Cropped to one leukocyte. Peripheral blood smear.
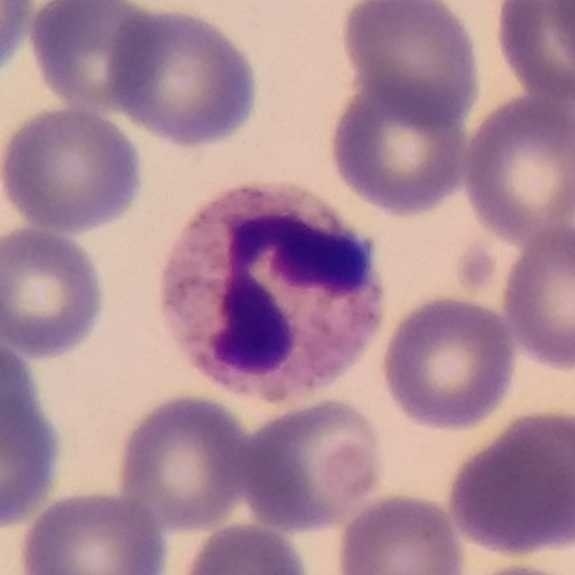The white blood cell type is neutrophil granulocyte.